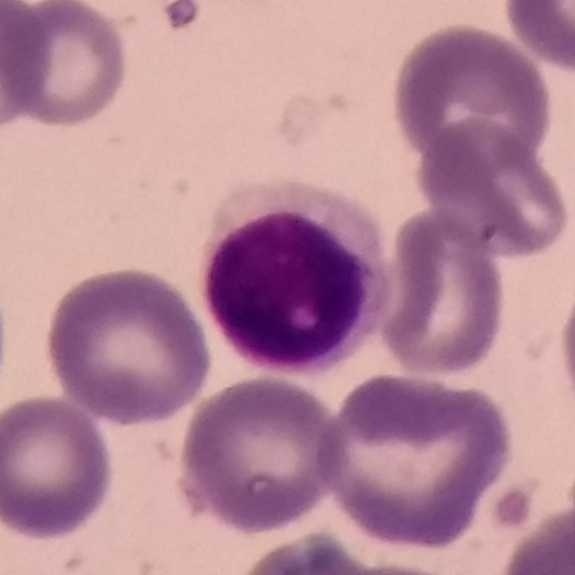
Image: Peripheral blood film.
Q: Which cell type is shown here?
A: A lymphocyte.